Magnification 100×; image size 575×575; peripheral blood film — 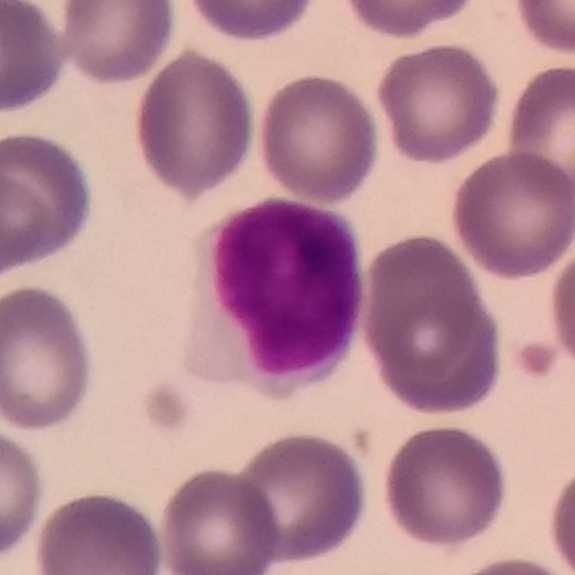

Cell type — lymphocyte.